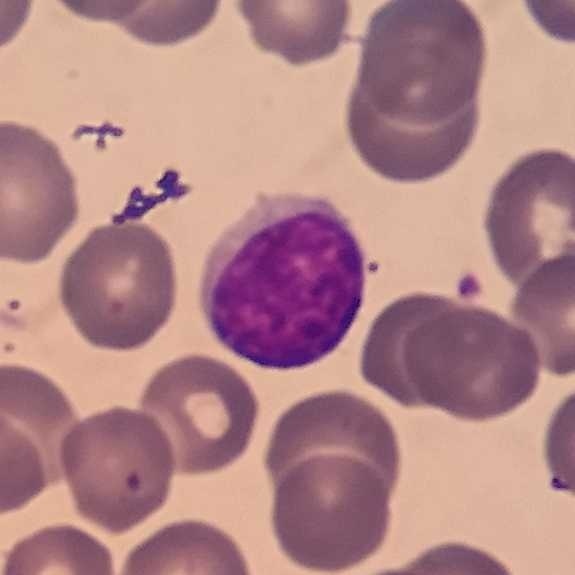
The morphological class is lymphocyte. Image: Peripheral blood smear.